Peripheral blood smear:
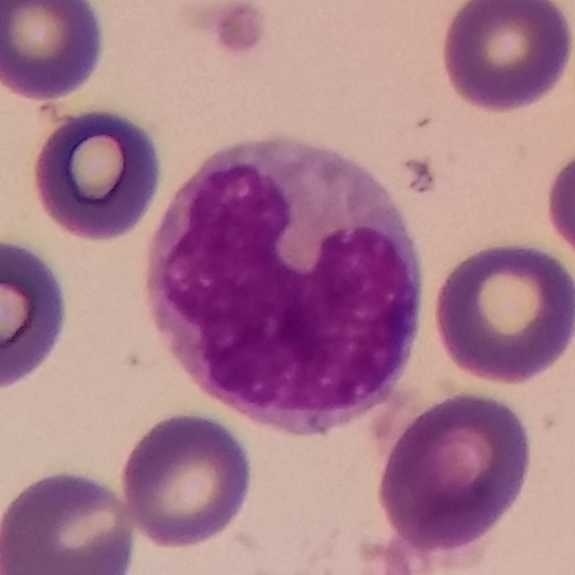
A monocyte.